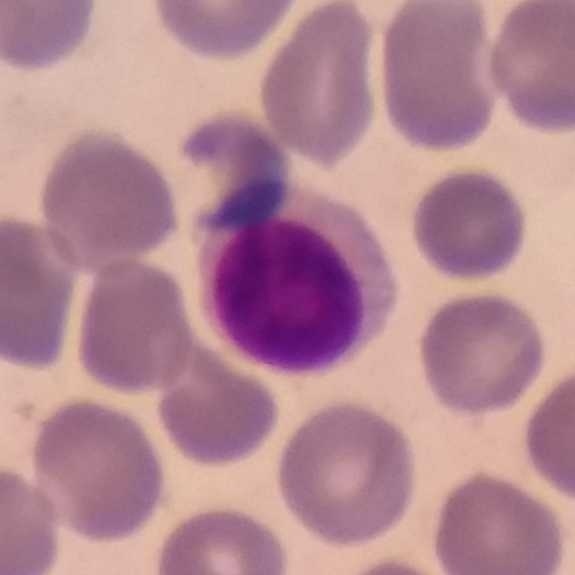Q: What is the morphological classification of this cell?
A: Lymphocyte.